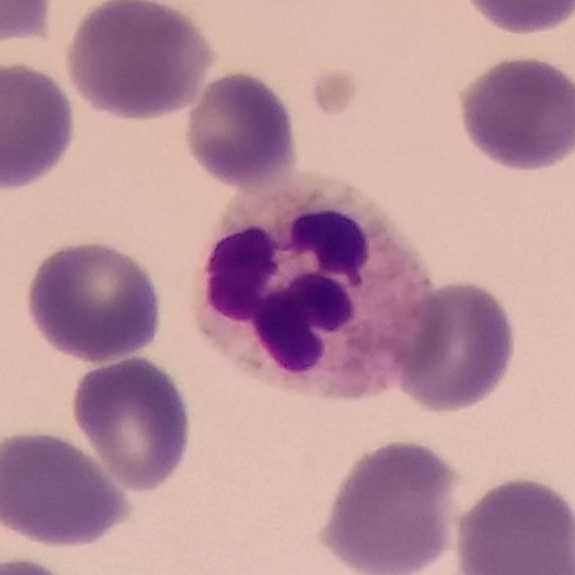
Morphological class: neutrophil granulocyte.
Peripheral blood film.